Peripheral blood smear
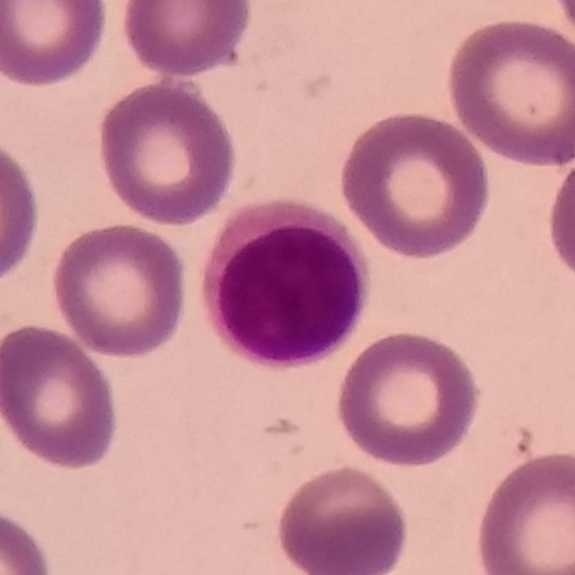
Q: Which type of white blood cell is this?
A: It is a lymphocyte.